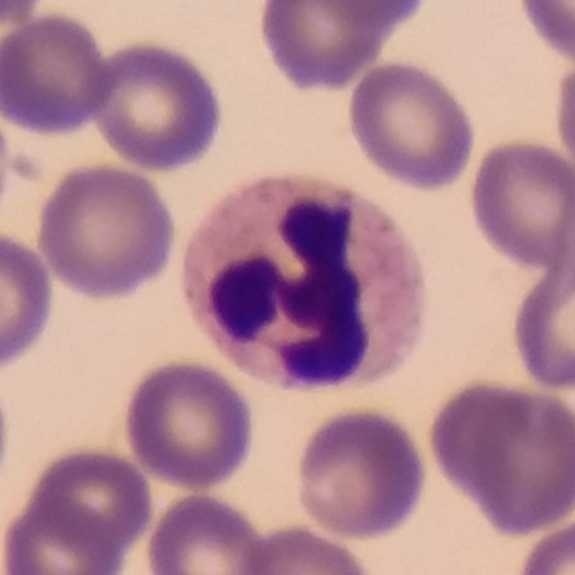
Image: Smartphone photomicrograph · peripheral blood smear.
Impression → neutrophil granulocyte.